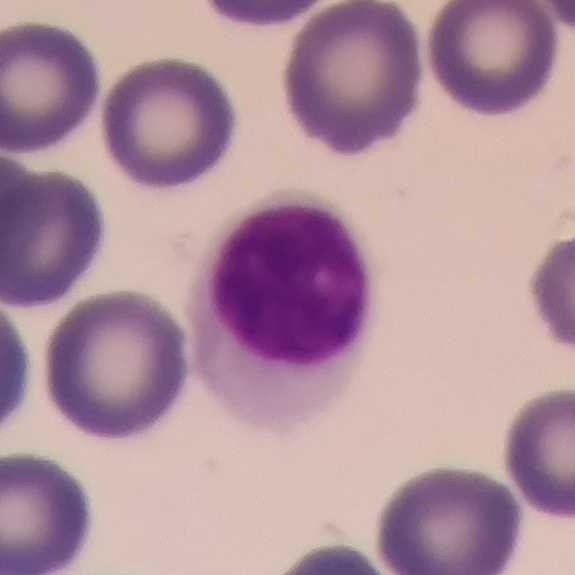

Specimen: peripheral blood film.
Cell type: lymphocyte.
Lineage: lymphoid.